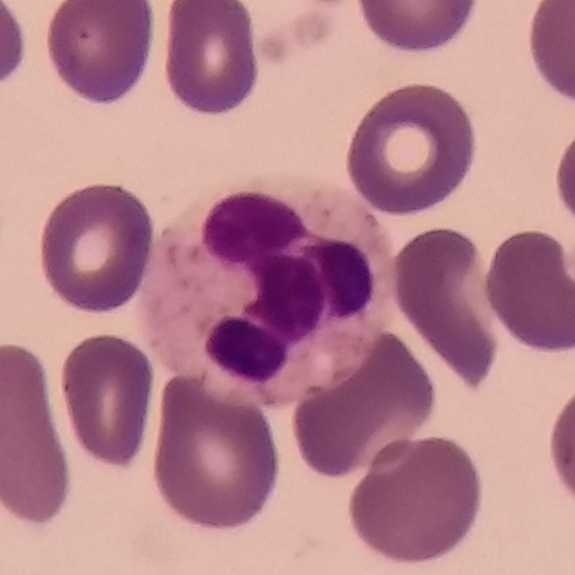
Peripheral blood film. The white blood cell type is neutrophil.